575×575. Peripheral blood film: 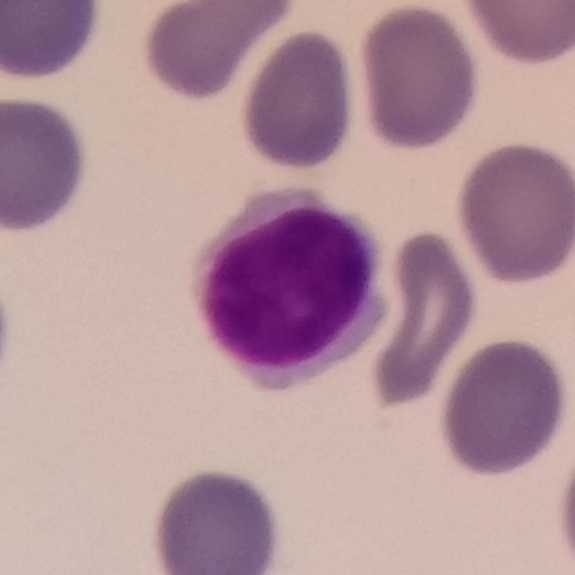Showing a lymphocyte.